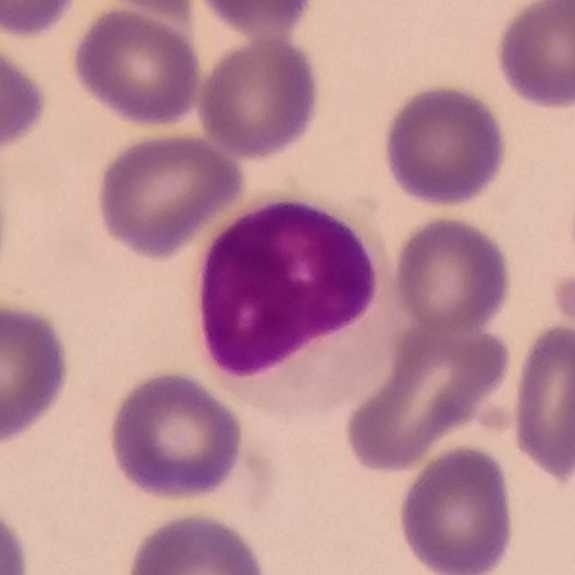Specimen: peripheral blood film.
Cell: lymphocyte.
Lineage: lymphoid. Cropped to one leukocyte.